Peripheral blood smear · 575×575: 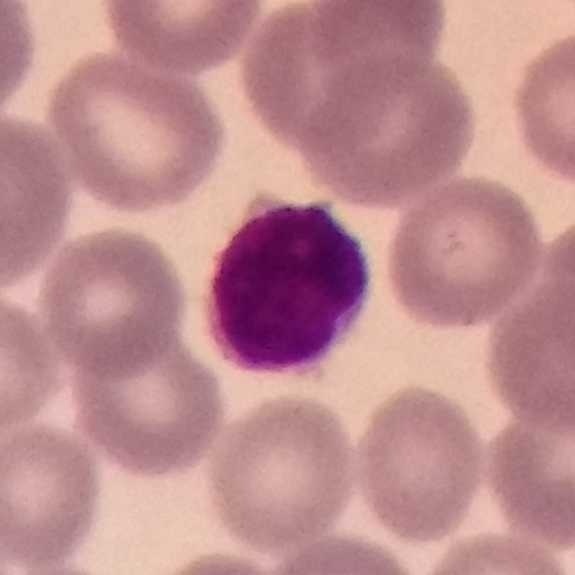

Showing a lymphocyte.